100× magnification. Peripheral blood smear.
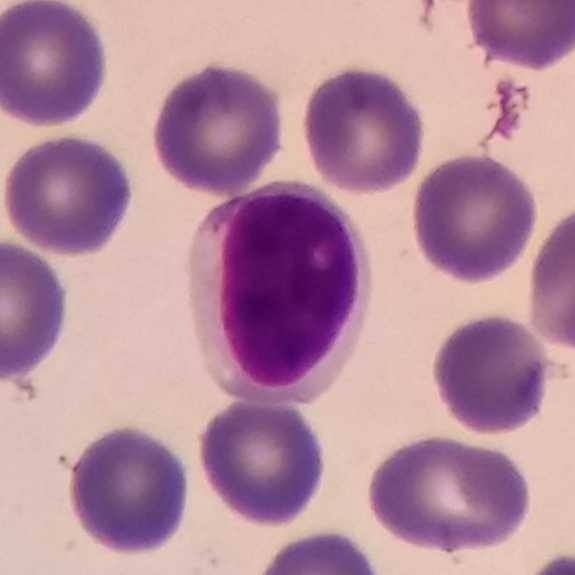 Classification — lymphocyte.